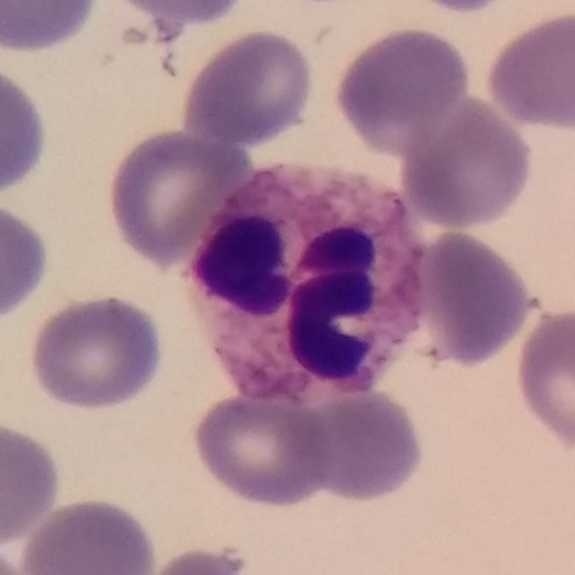Peripheral blood film · single white blood cell cropped from the smear photograph · 100× magnification.

A neutrophil.